Peripheral blood film. Smartphone photomicrograph — 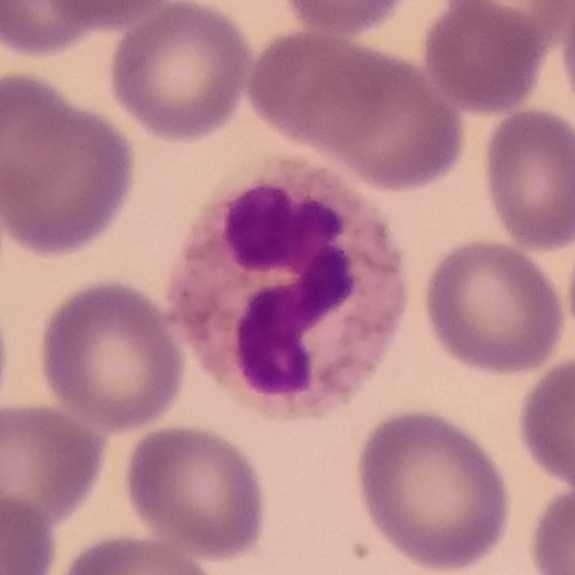Identified as a neutrophilic granulocyte.